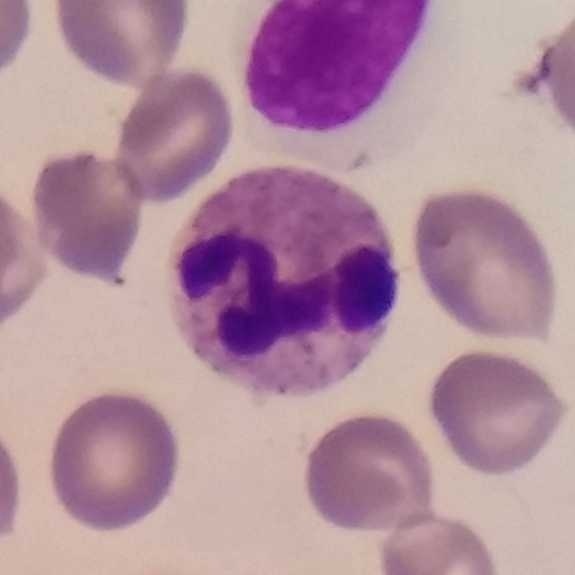 Acquisition: Peripheral blood film. Morphology consistent with a neutrophilic granulocyte.